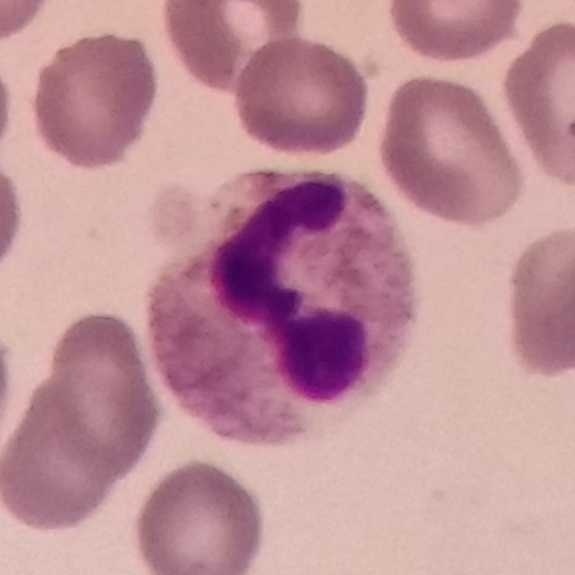 Q: What is this?
A: This is a neutrophil granulocyte.
Image: Peripheral blood smear · single-cell field · imaged at 100×.